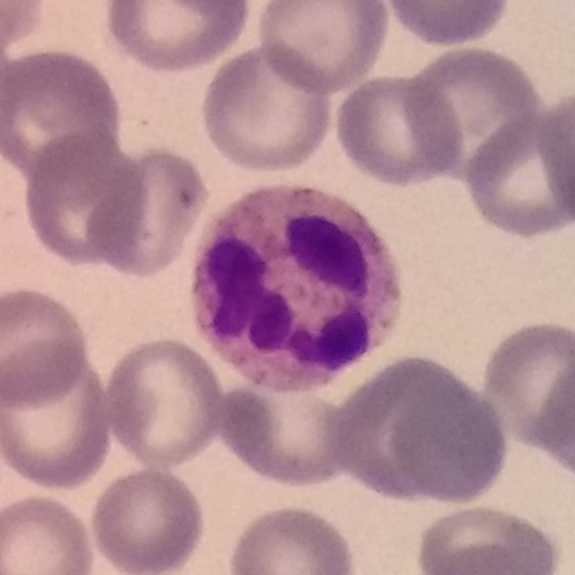
Context: Peripheral blood film; stained with Giemsa. Neutrophil.